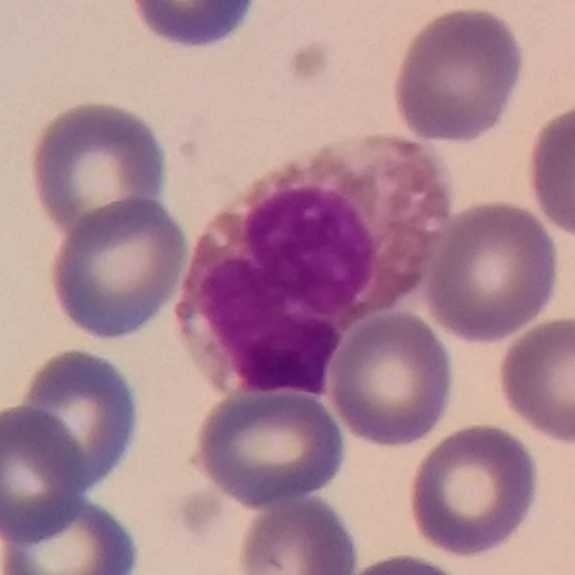
Peripheral blood film.

Morphology consistent with an eosinophil.